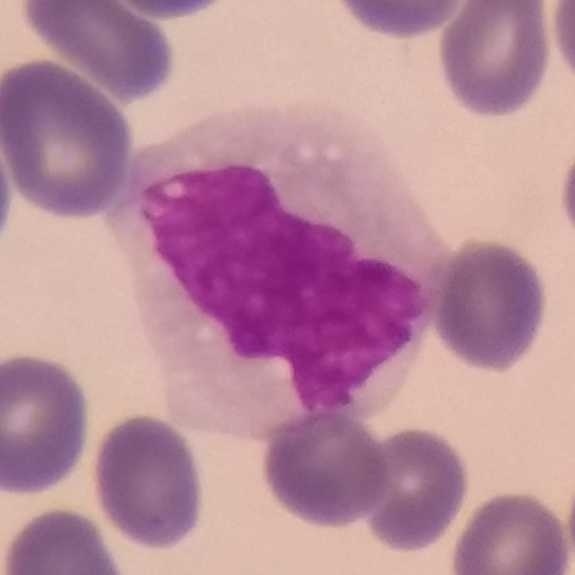 This is a monocyte.